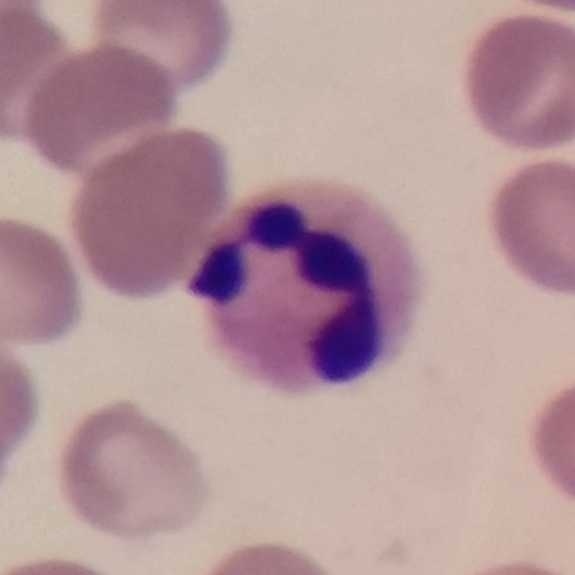 Specimen: peripheral blood film.
Cell type: neutrophil.
Lineage: myeloid.